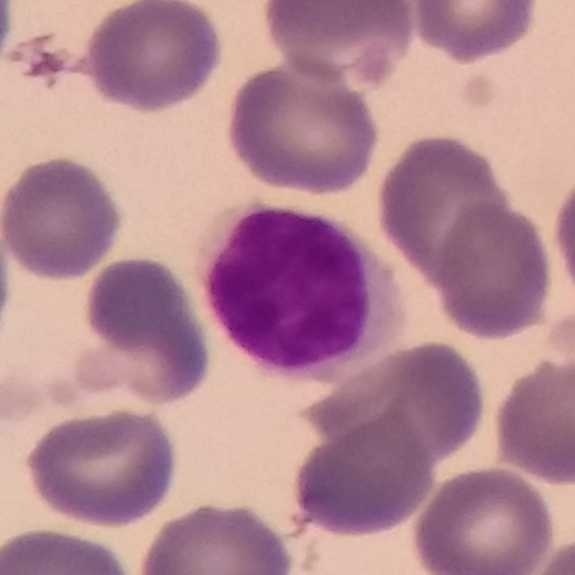The cell shown is a lymphocyte.

Image: Peripheral blood film.